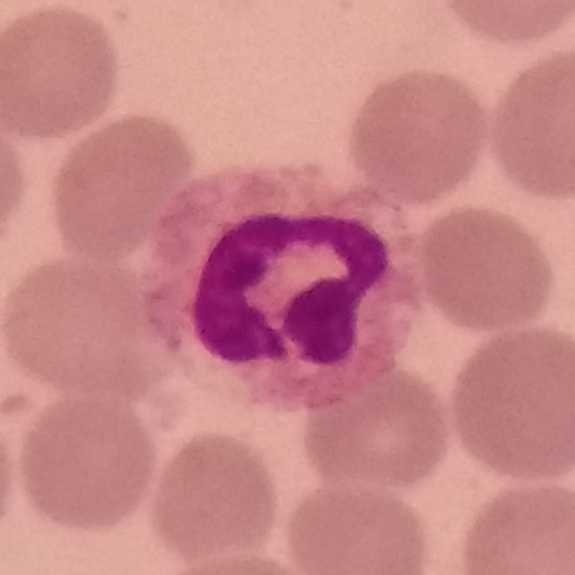

Classification — neutrophilic granulocyte.

Preparation: Peripheral blood film.